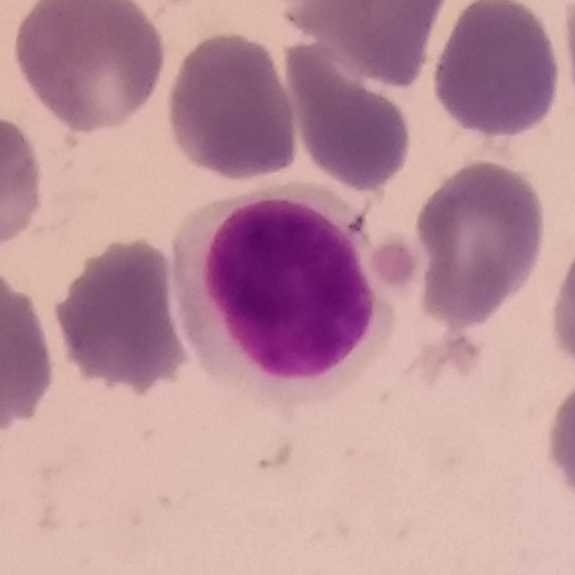

Morphological class: lymphocyte.

Acquisition: Peripheral blood smear.